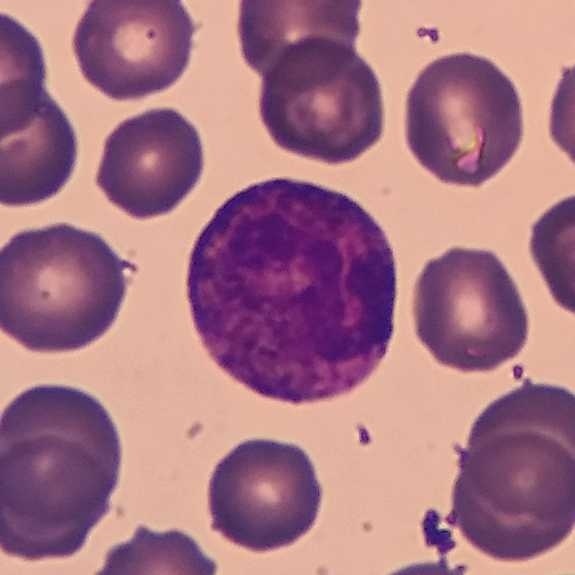Q: Which cell type is shown here?
A: A neutrophil.
Preparation: Giemsa stain; peripheral blood smear.